Peripheral blood smear:
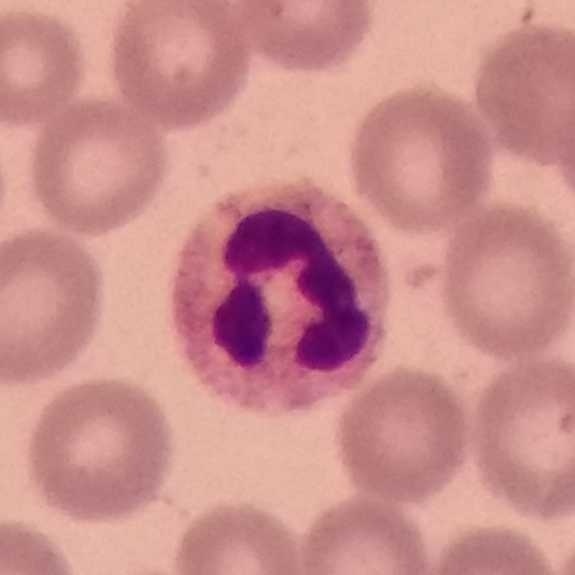
Classification: neutrophilic granulocyte.